Smartphone photomicrograph · peripheral blood smear · imaged at 100× — 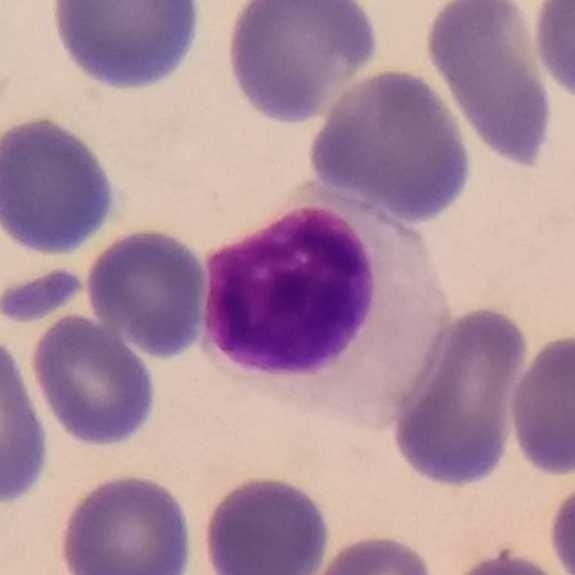

Identified as a lymphocyte.